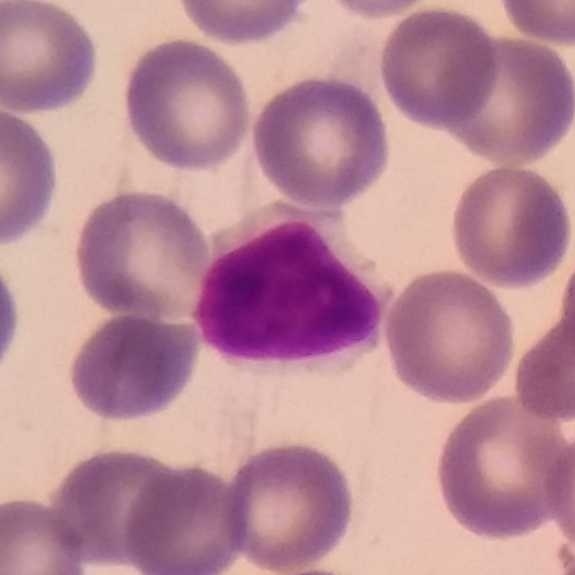 Classification: lymphocyte.